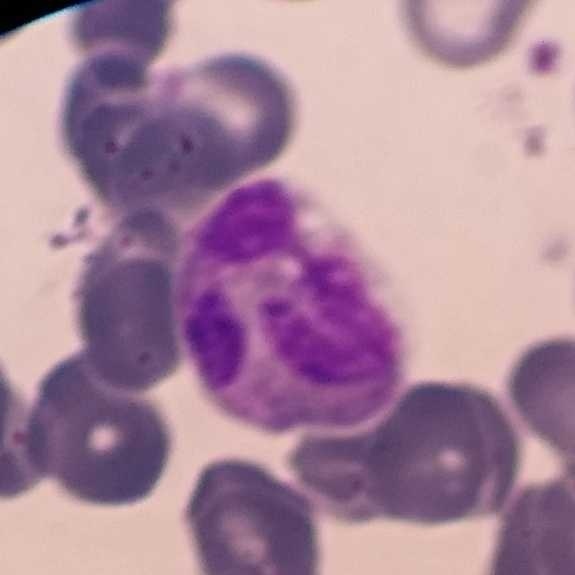Peripheral blood smear.

Identified as a neutrophil granulocyte.